Peripheral blood smear
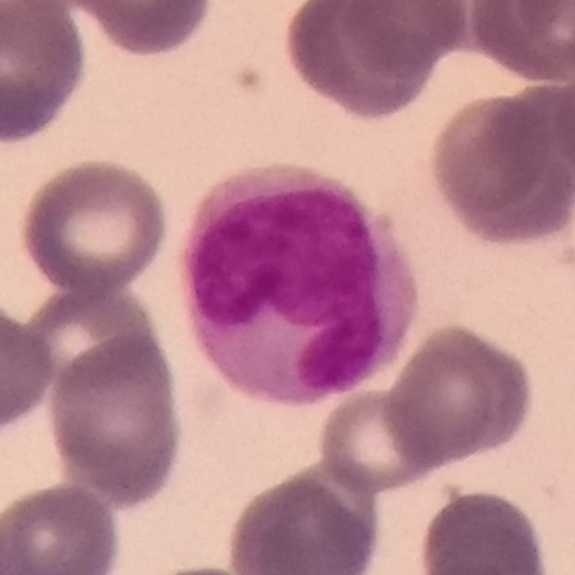 Q: Classify this leukocyte.
A: This is a monocyte.